Peripheral blood film:
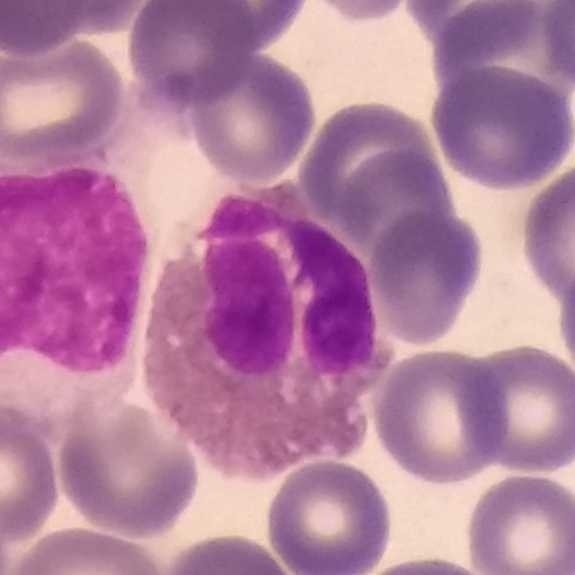Impression → eosinophilic granulocyte.